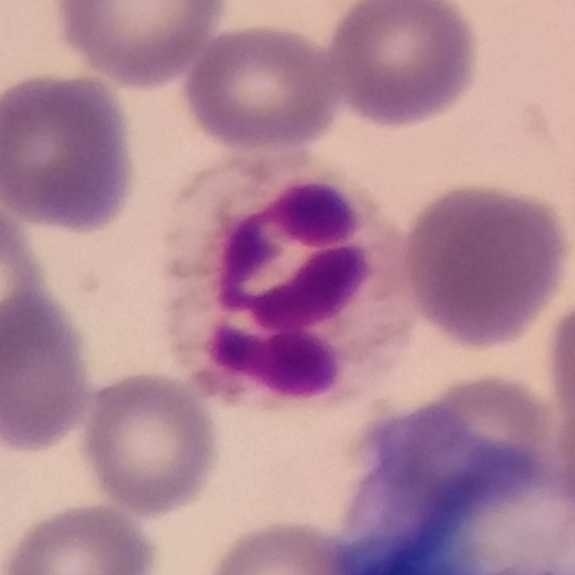 The cell is neutrophil. Peripheral blood smear.